Cropped to one leukocyte · Giemsa-stained · peripheral blood film
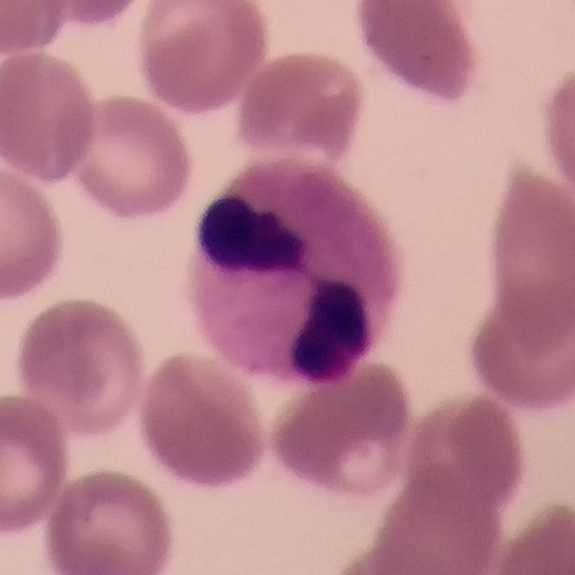Specimen: peripheral blood smear.
Cell type: neutrophil granulocyte.
Lineage: myeloid.